Peripheral blood smear.
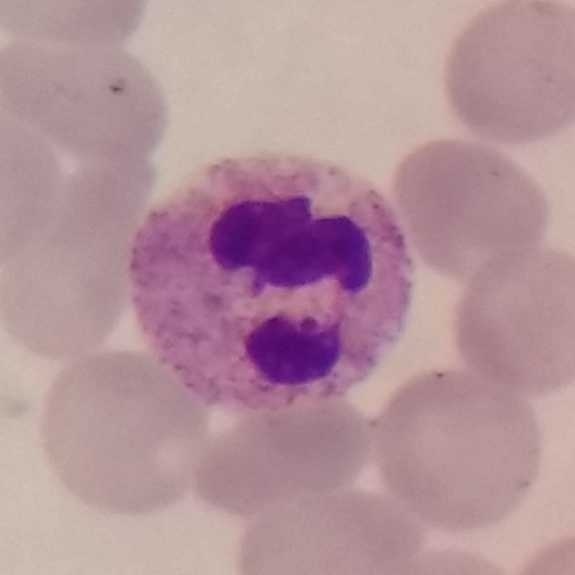 A neutrophil.